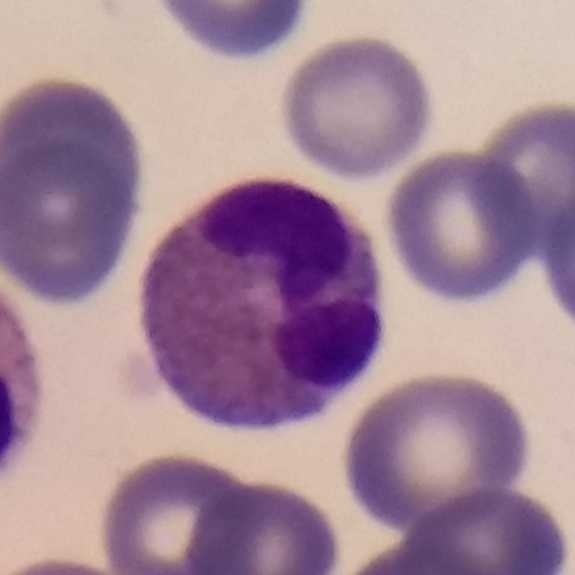Specimen: peripheral blood film.
Classification: eosinophil.
Lineage: myeloid.